Peripheral blood smear:
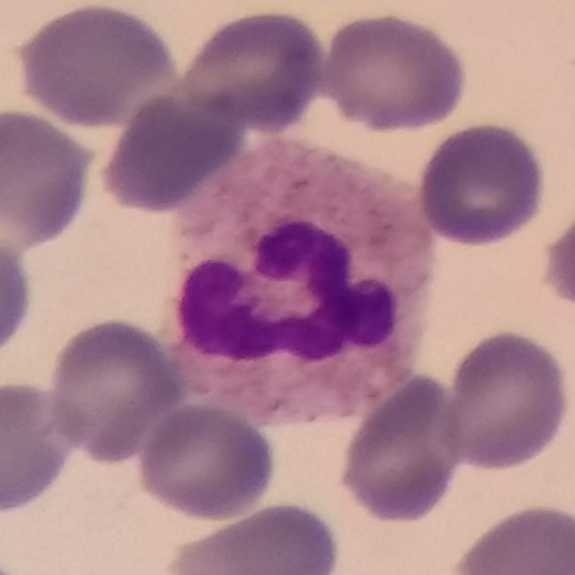 Cell: neutrophil granulocyte.